Single white blood cell cropped from the smear photograph · peripheral blood film · Giemsa-stained.
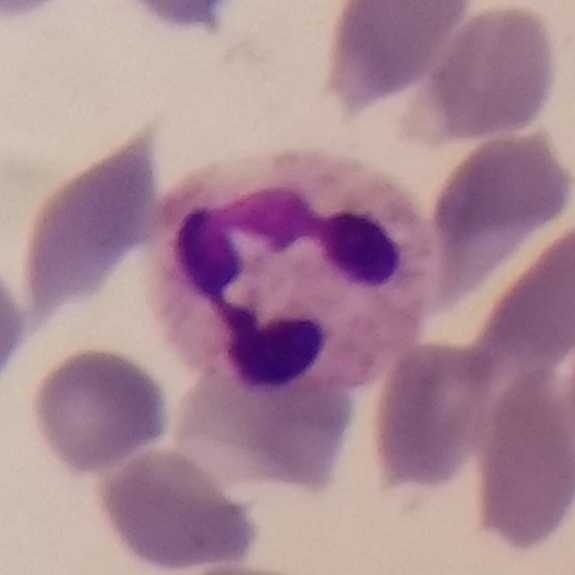 Q: What is shown here?
A: Neutrophilic granulocyte.